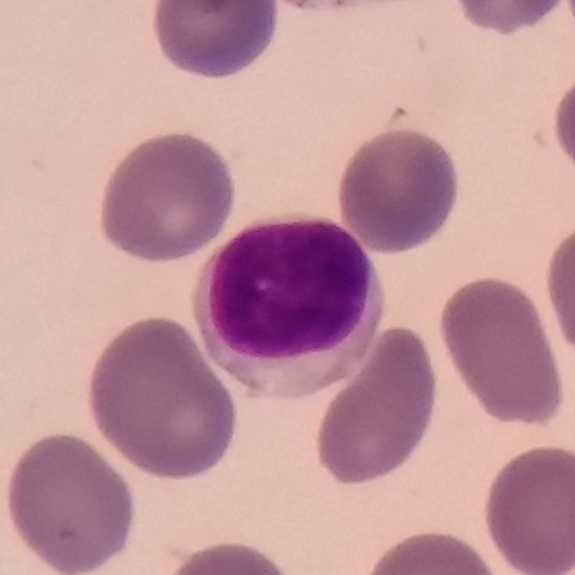 Identified as a lymphocyte.
Preparation: Peripheral blood film.